Peripheral blood film.
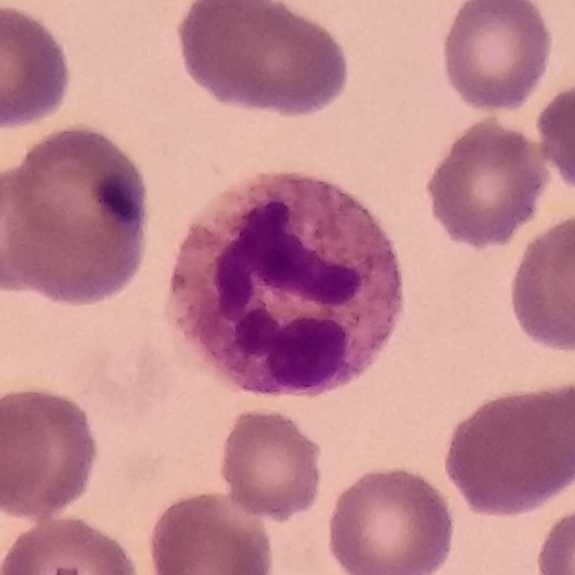 This is a neutrophil.